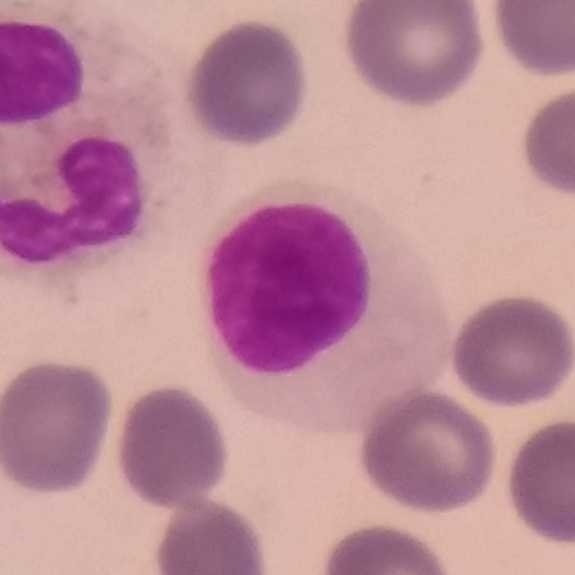
Image: 575×575.

Specimen: peripheral blood film.
Morphological class: lymphocyte.
Lineage: lymphoid.